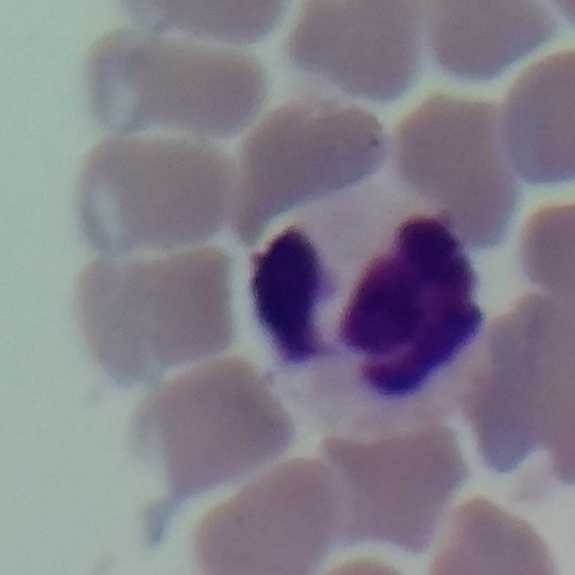

Preparation: Single white blood cell cropped from the smear photograph · peripheral blood film.
Morphology → neutrophil.